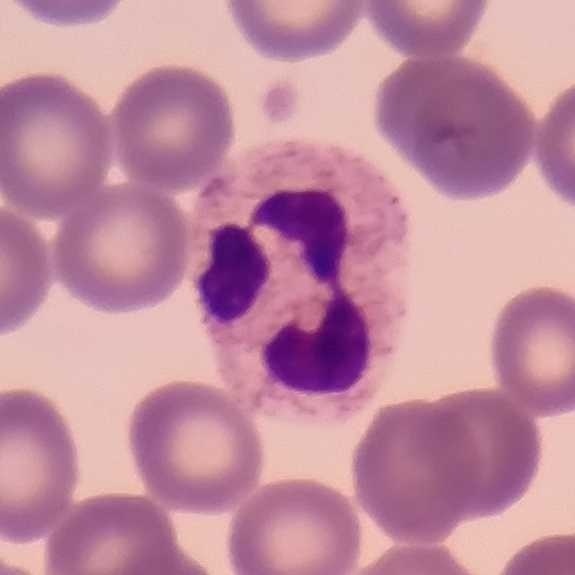 {"cell_type": "neutrophil granulocyte", "lineage": "myeloid"}